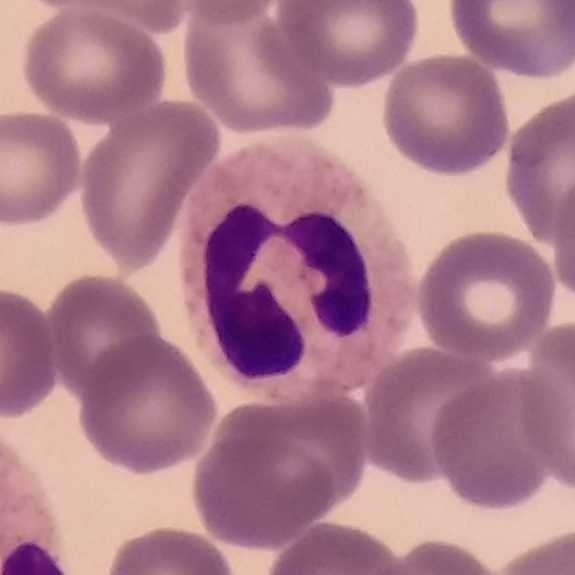 Q: Identify the cell.
A: A neutrophilic granulocyte.
Single-cell field; Giemsa-stained; peripheral blood film.